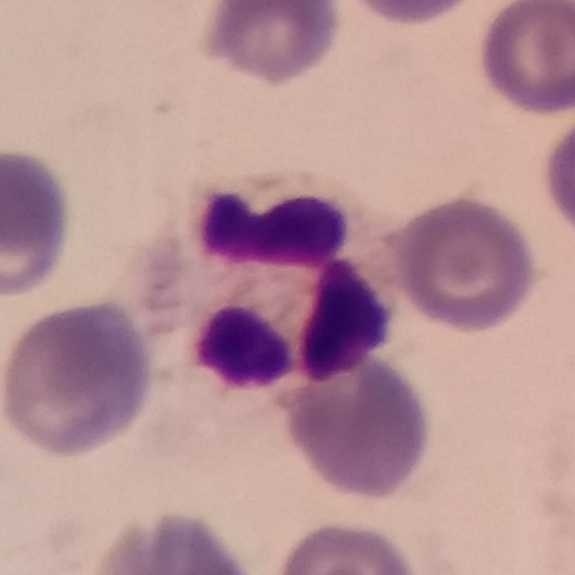 Stained with Giemsa · peripheral blood smear · 575×575 px.
Morphology consistent with a neutrophil granulocyte.